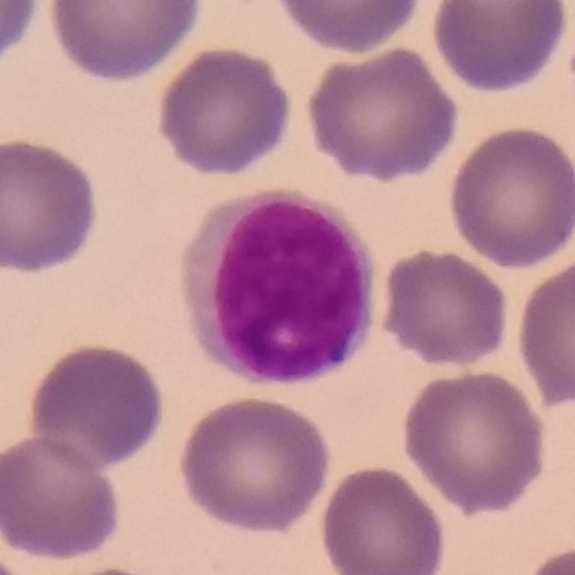
Acquisition: Peripheral blood film. Q: What type of cell is this?
A: A lymphocyte.